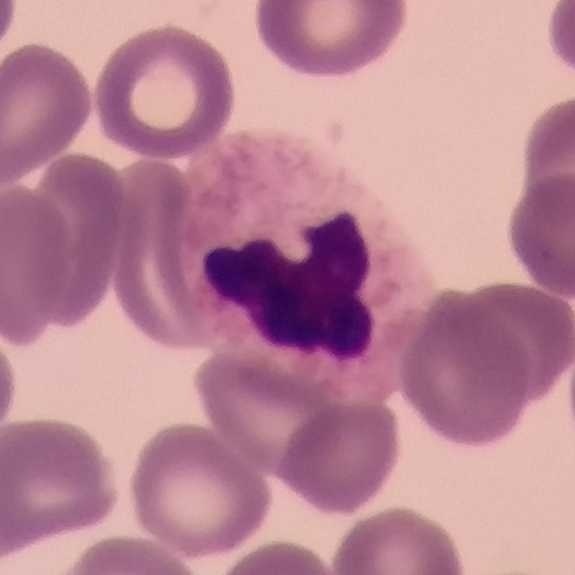Image: Single-cell field; peripheral blood film. Impression → neutrophilic granulocyte.